Peripheral blood smear
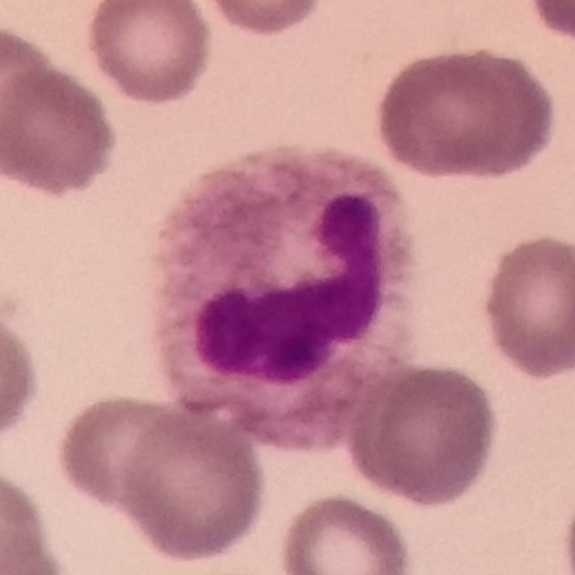

Q: Classify this leukocyte.
A: Neutrophil granulocyte.